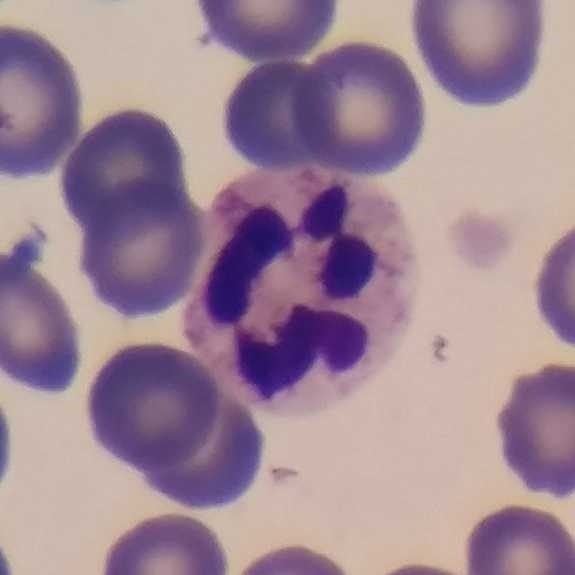{"cell_type": "neutrophil", "lineage": "myeloid"} Acquisition: Magnification 100× · peripheral blood film.